Peripheral blood smear · smartphone camera mounted on the microscope eyepiece — 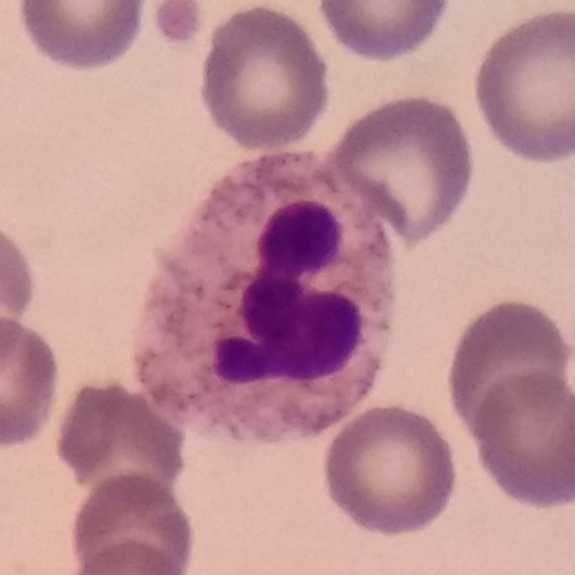The cell shown is a neutrophil.